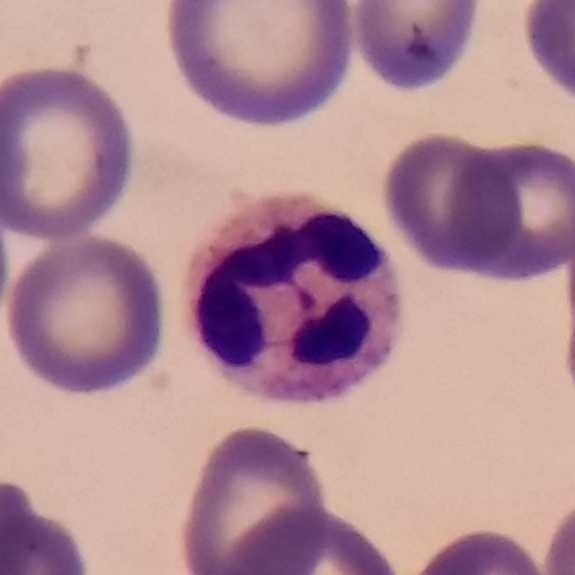
Morphological class = neutrophil.